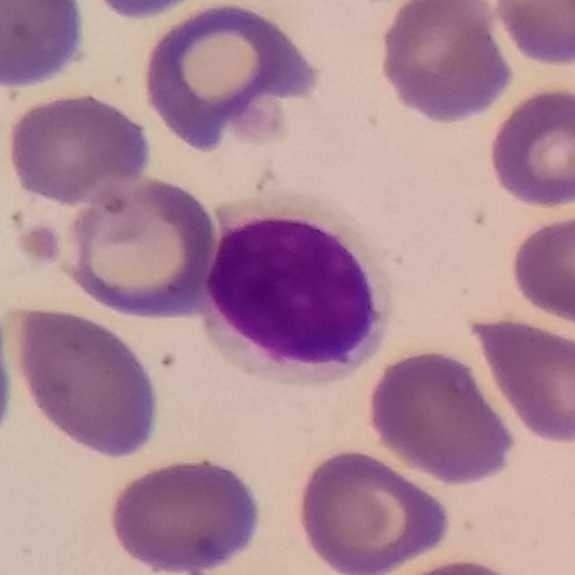 The white blood cell type is lymphocyte. Image: Peripheral blood film.